Peripheral blood film; Giemsa stain
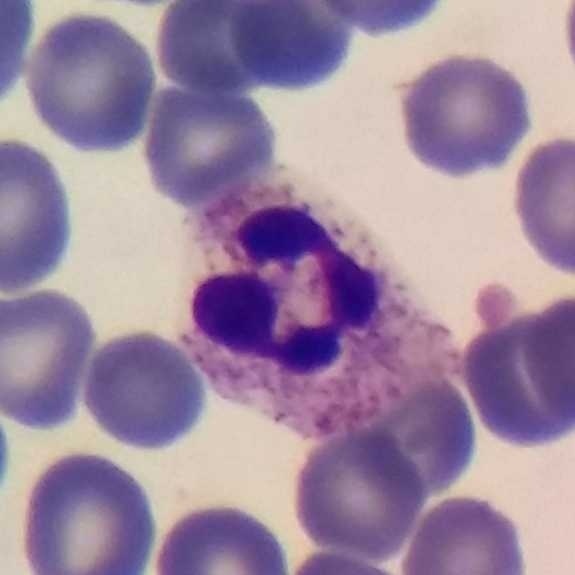Specimen: peripheral blood film.
Cell type: neutrophilic granulocyte.